Peripheral blood smear.
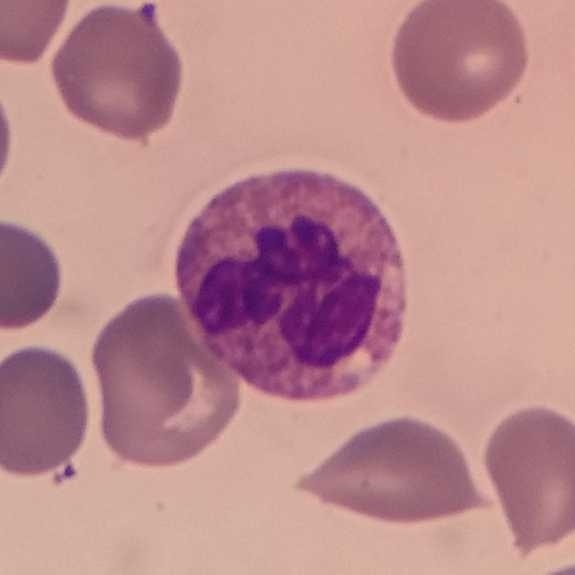 The white blood cell in this image is a neutrophil.